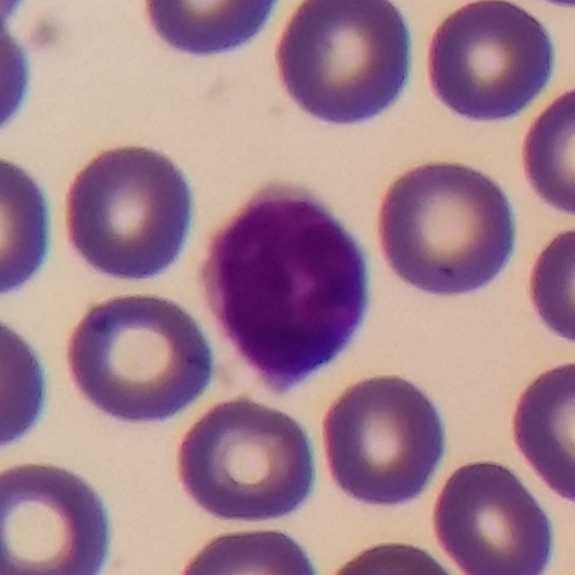
Q: What is this?
A: This is a lymphocyte.